Peripheral blood film:
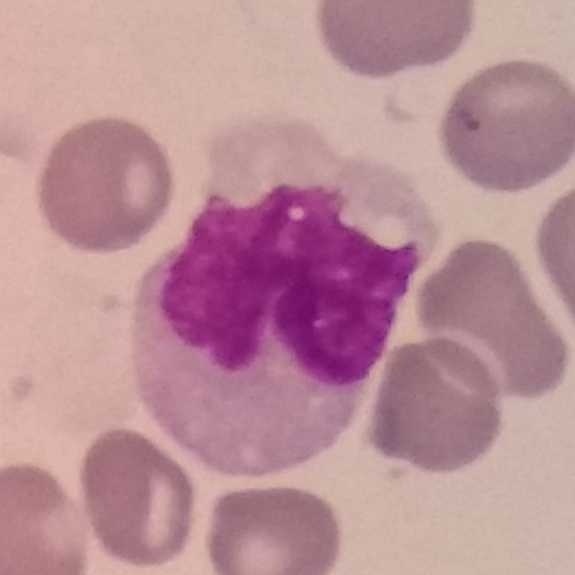

Morphology — monocyte.